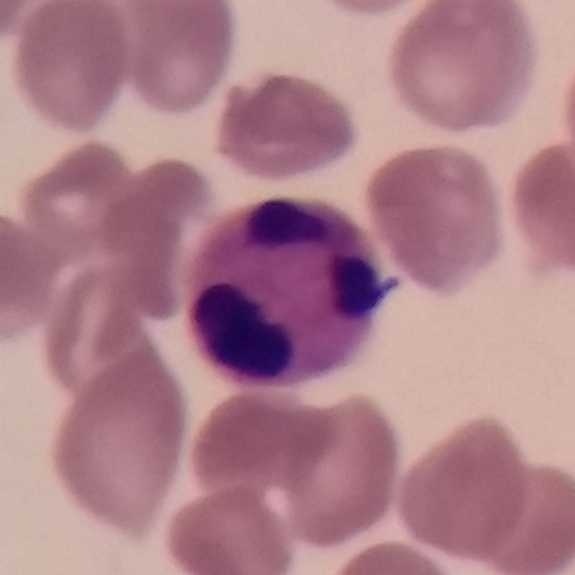Preparation: Peripheral blood smear. White blood cell type = neutrophilic granulocyte.